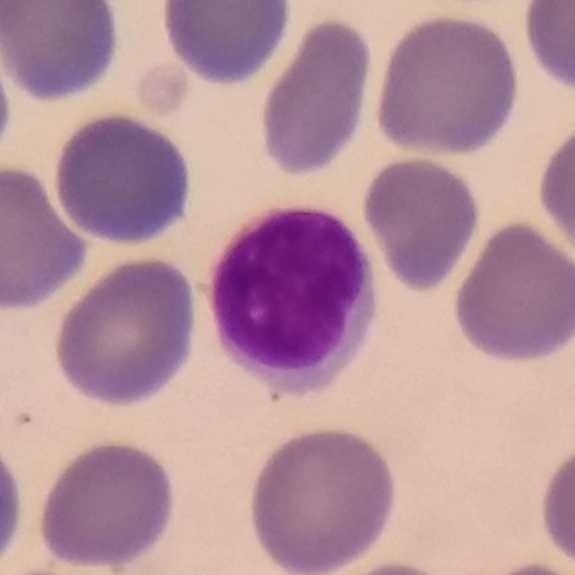
Cropped to one leukocyte; peripheral blood smear.
Classification: lymphocyte.